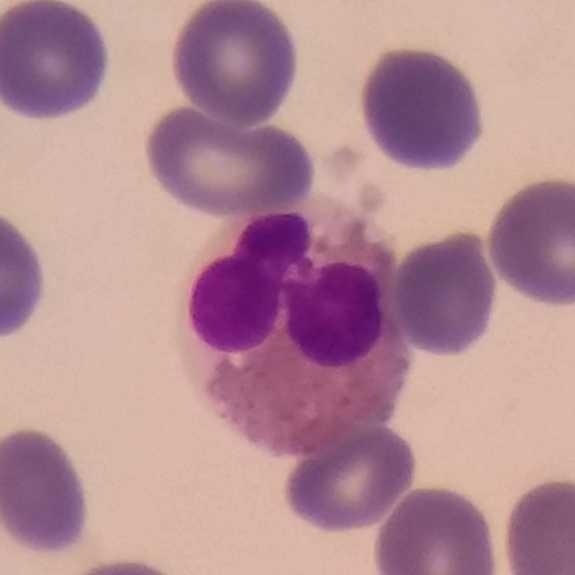

Single cell identified as an eosinophil. Acquisition: Peripheral blood smear; Giemsa-stained.